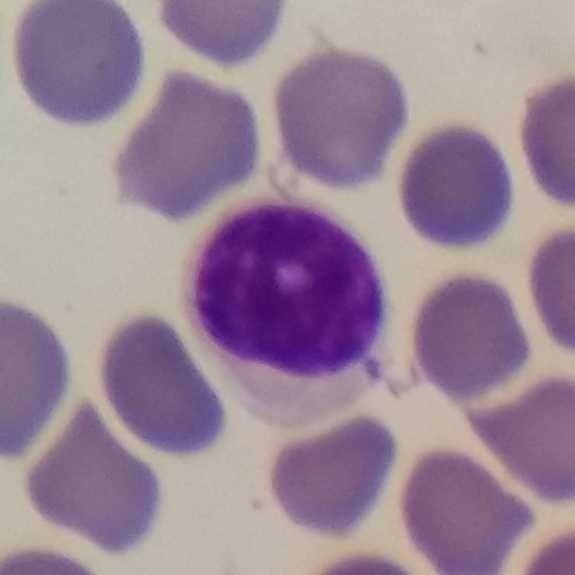 Single cell identified as a lymphocyte.

Peripheral blood film.